Peripheral blood smear
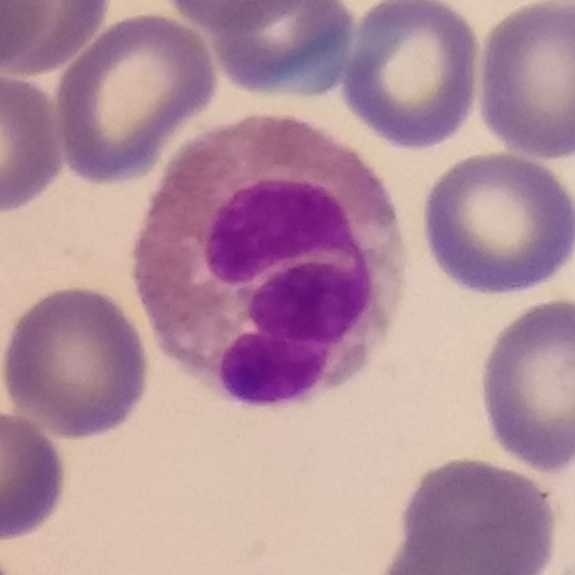
Specimen: peripheral blood smear.
Cell type: eosinophilic granulocyte.